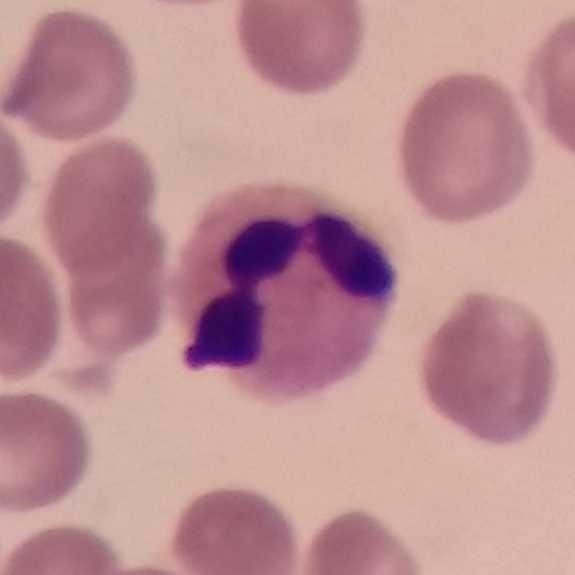
{"cell_type": "neutrophil", "lineage": "myeloid"}